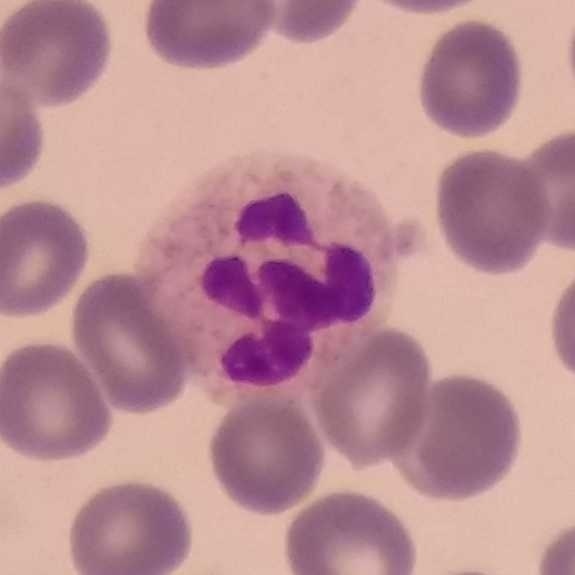
Morphology consistent with a neutrophilic granulocyte. Acquisition: Peripheral blood film · magnification 100×.